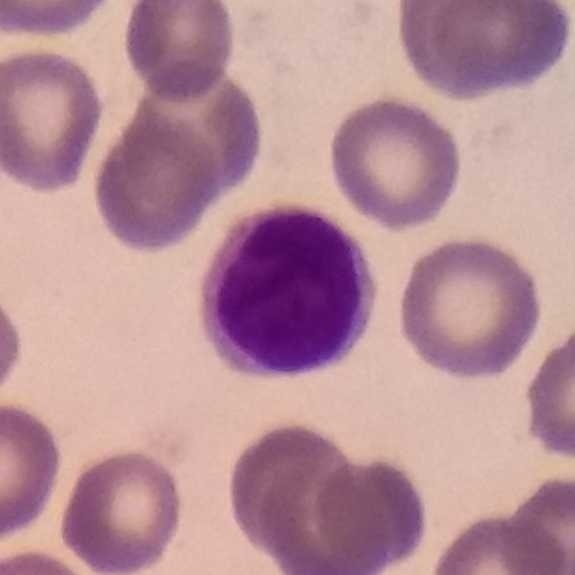
Specimen: peripheral blood film.
Cell type: lymphocyte.
Lineage: lymphoid.